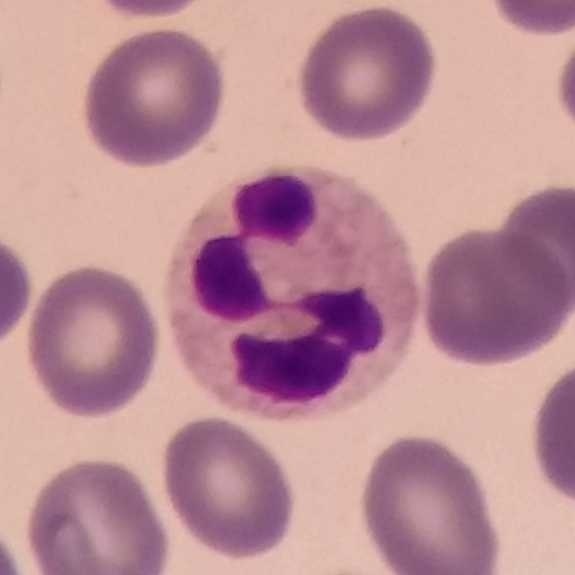
Impression → neutrophil.